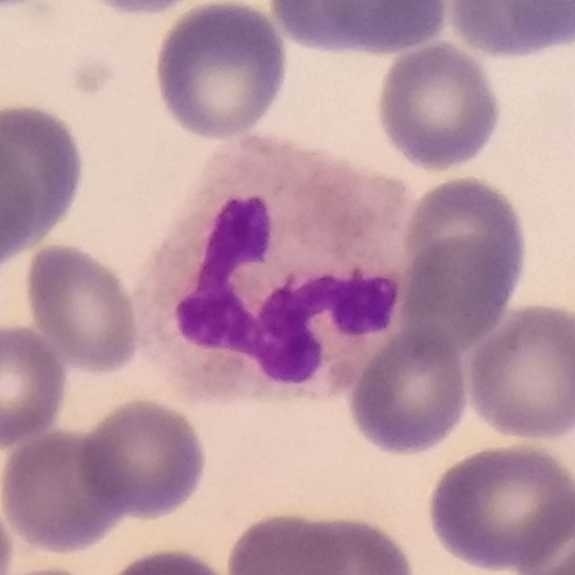
This is a neutrophilic granulocyte.